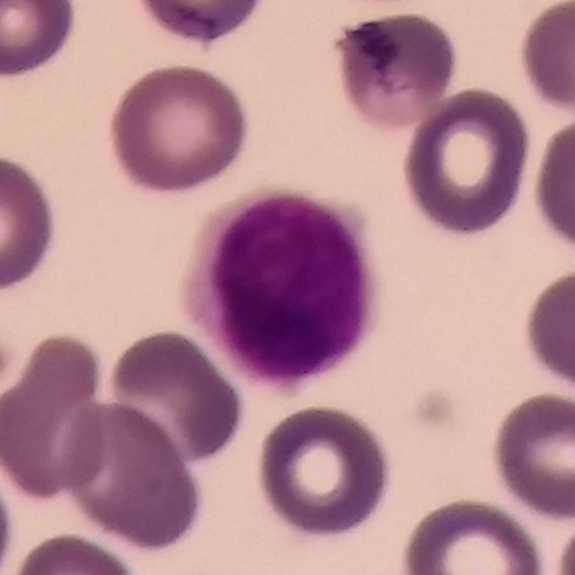 Magnification 100×. Peripheral blood smear.

Morphology → lymphocyte.